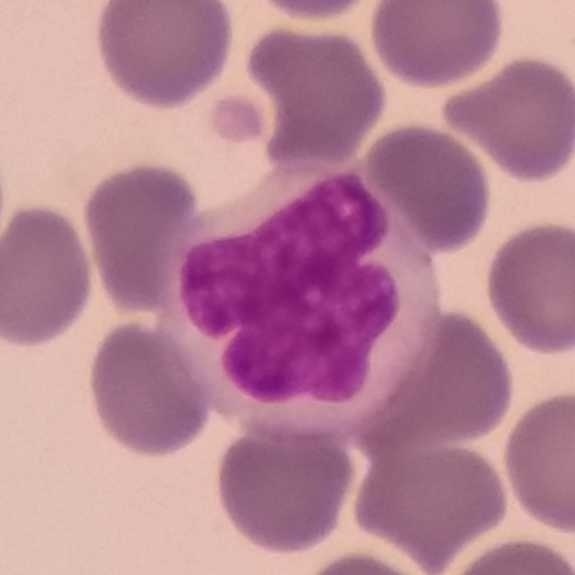 Context: Peripheral blood smear. Single white blood cell cropped from the smear photograph.
The cell shown is a monocyte.